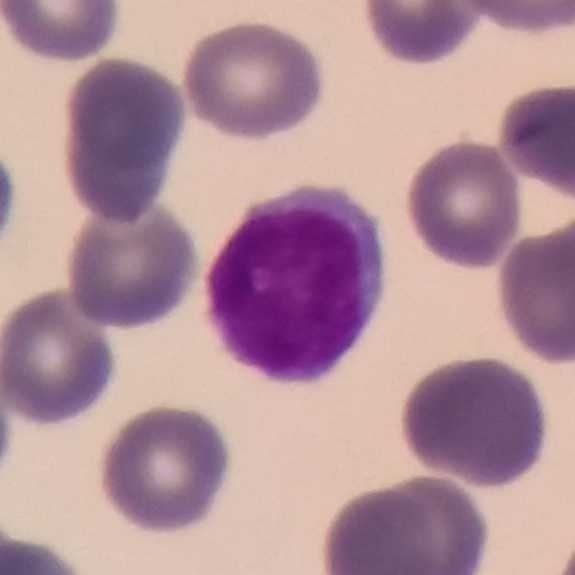

The cell type is lymphocyte. Preparation: Peripheral blood film · single-cell field.